Peripheral blood smear.
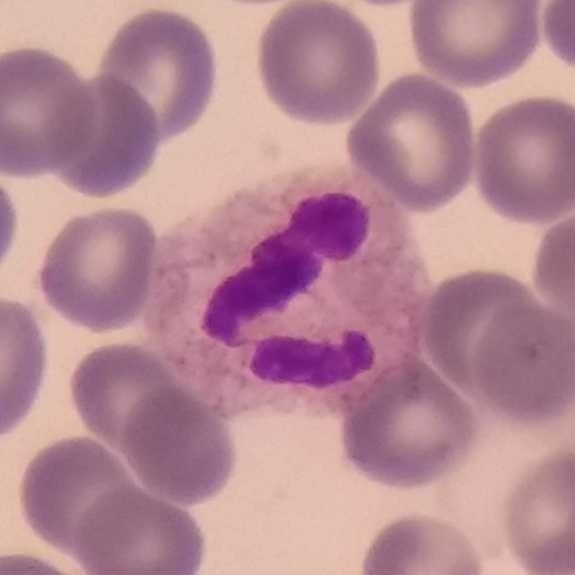Identified as a neutrophil granulocyte.